Peripheral blood smear
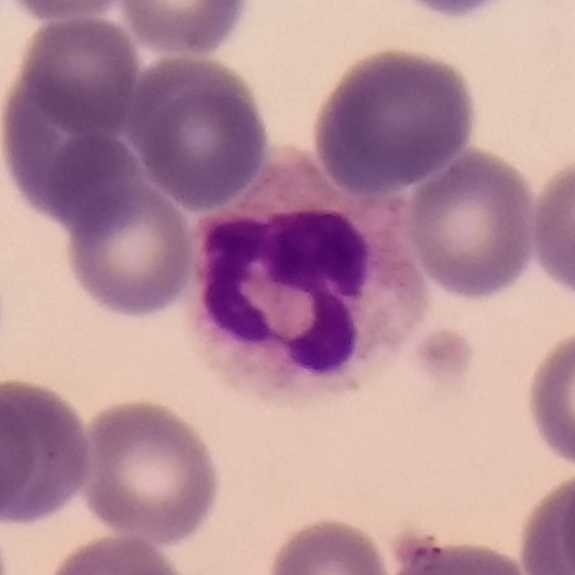
Morphological class: neutrophil granulocyte.